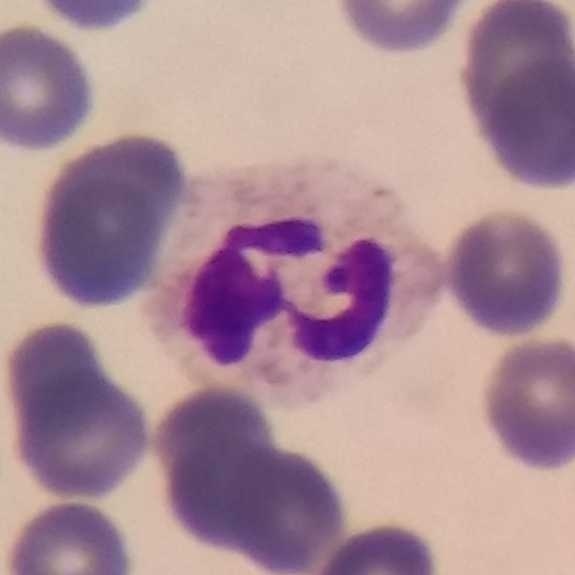
Acquisition: Giemsa stain · peripheral blood film.

The white blood cell type is neutrophilic granulocyte.